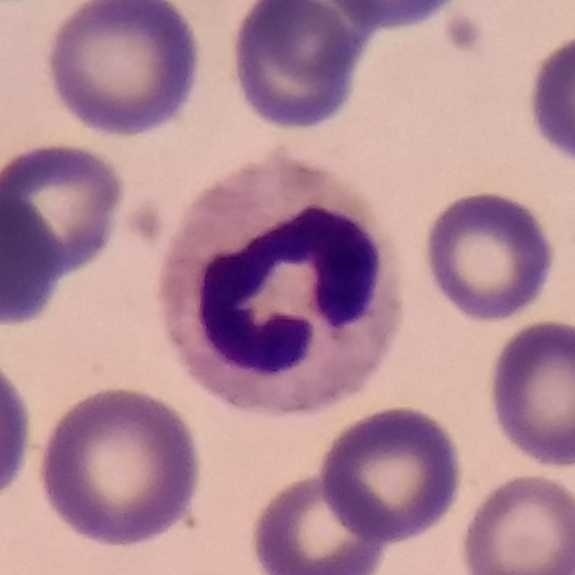 {"cell_type": "neutrophil granulocyte", "lineage": "myeloid"} Peripheral blood smear · Giemsa-stained · 575×575.